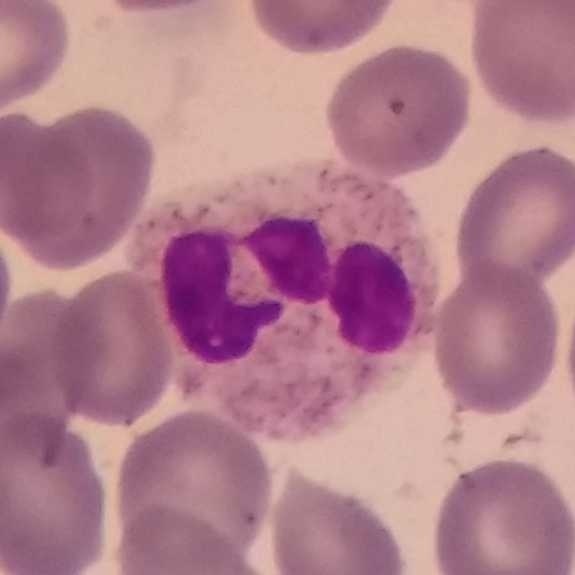Context: Peripheral blood film.
Classification — neutrophil.